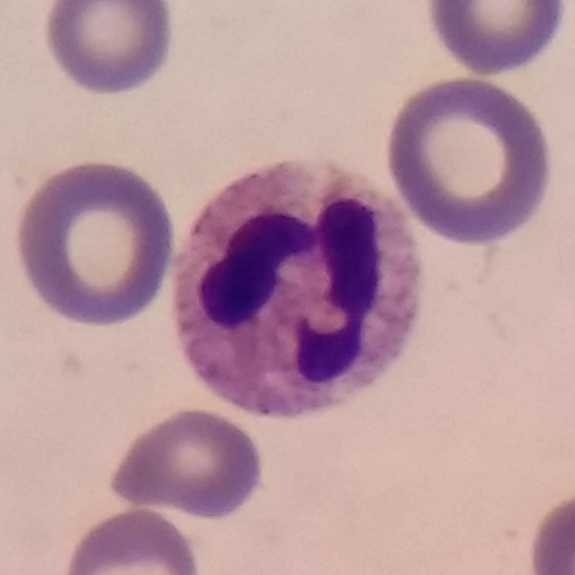 Classification = neutrophil granulocyte.